575×575 px · peripheral blood smear: 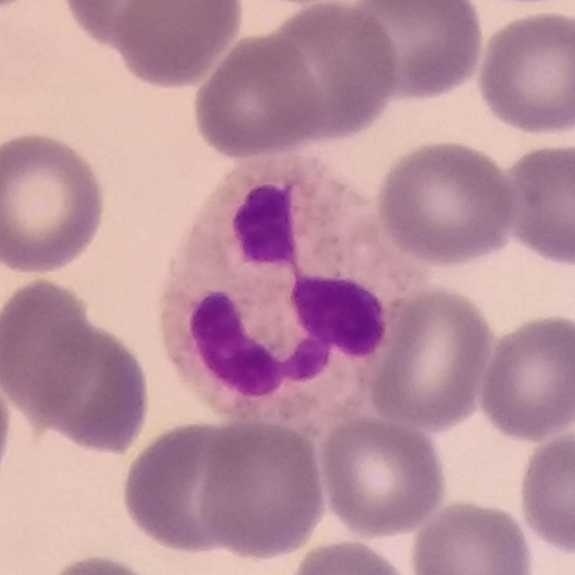

Showing a neutrophilic granulocyte.